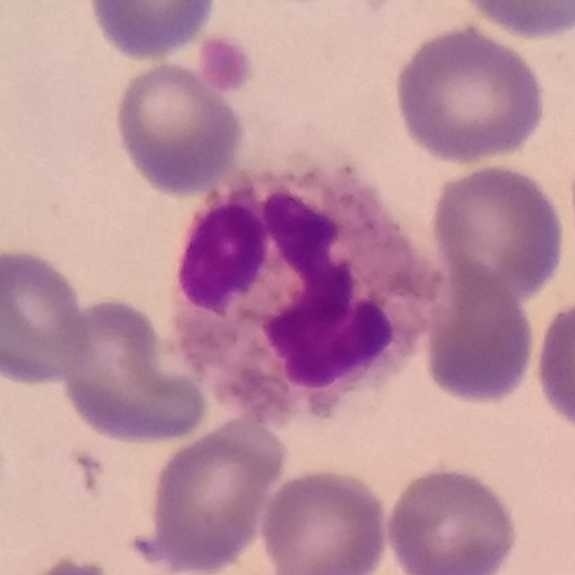
Preparation: Peripheral blood film.

The cell shown is a neutrophilic granulocyte.